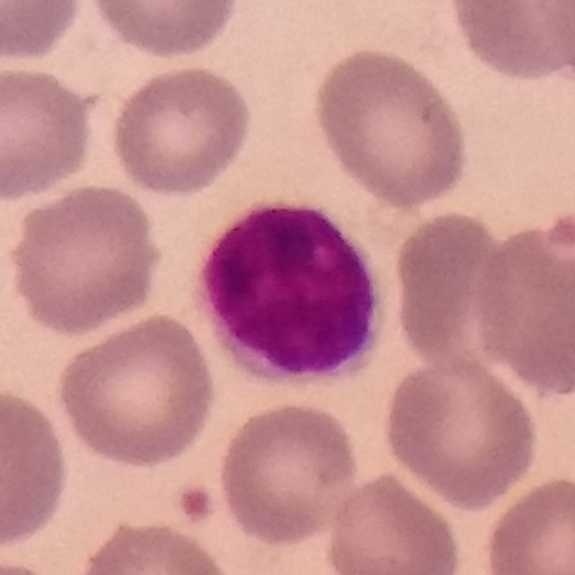
Specimen: peripheral blood smear.
White blood cell type: lymphocyte.
Lineage: lymphoid.